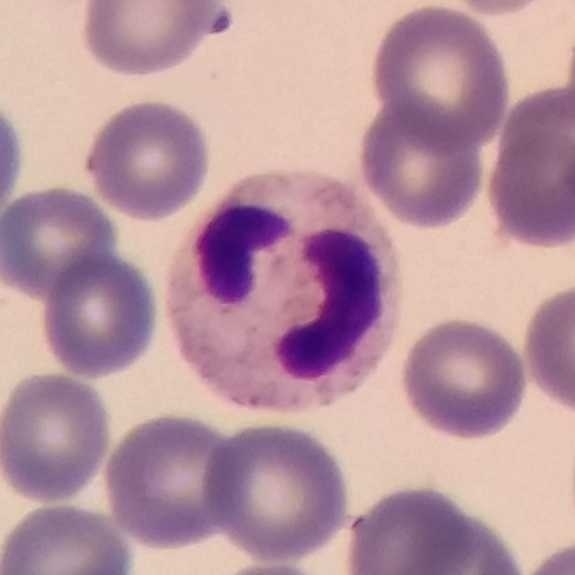The cell type is neutrophil granulocyte.